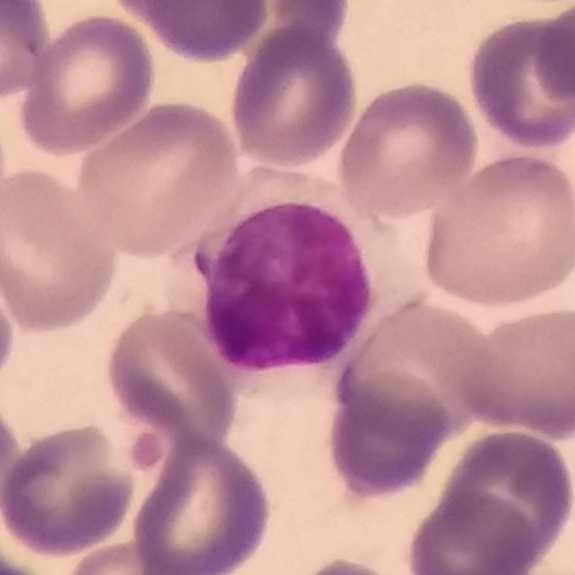 Peripheral blood film. {"cell_type": "lymphocyte"}